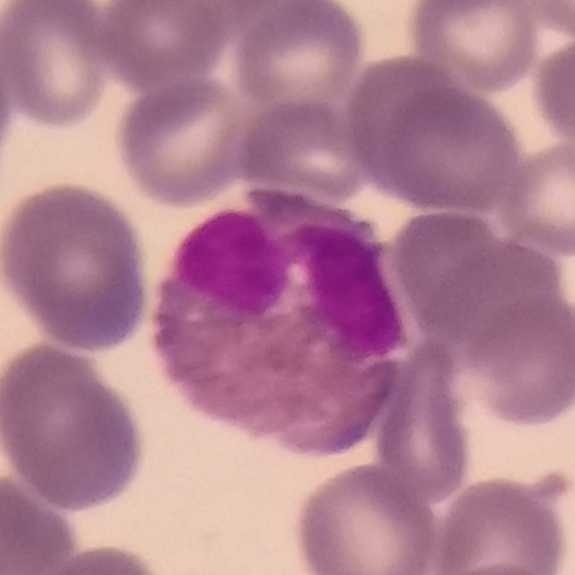
Q: What is shown here?
A: Eosinophilic granulocyte.